Peripheral blood film — 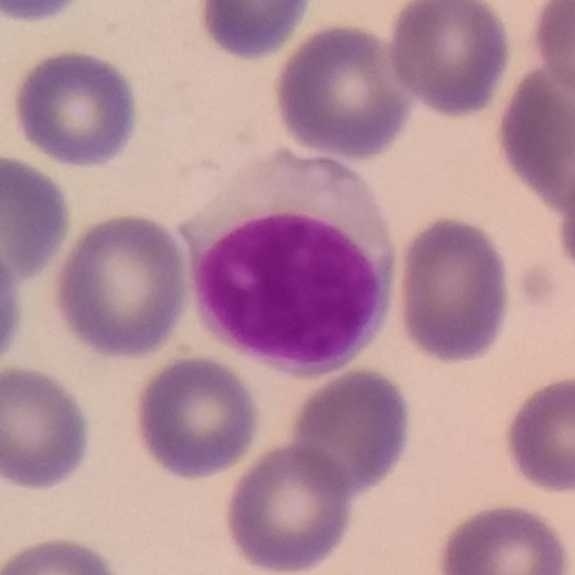
Identified as a lymphocyte.